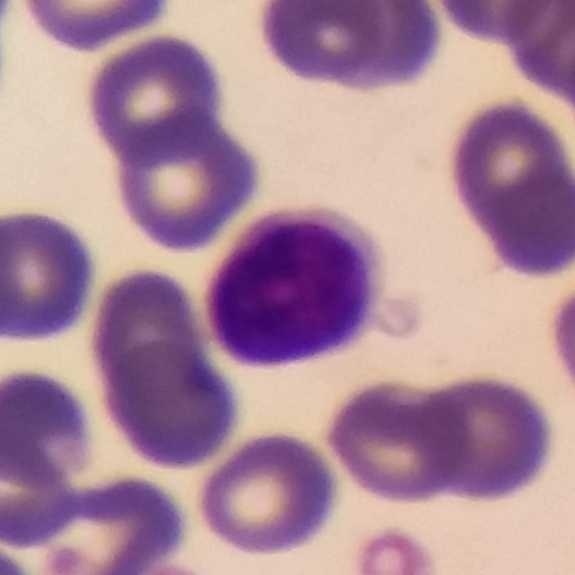

The classification is lymphocyte.